100× magnification · peripheral blood smear.
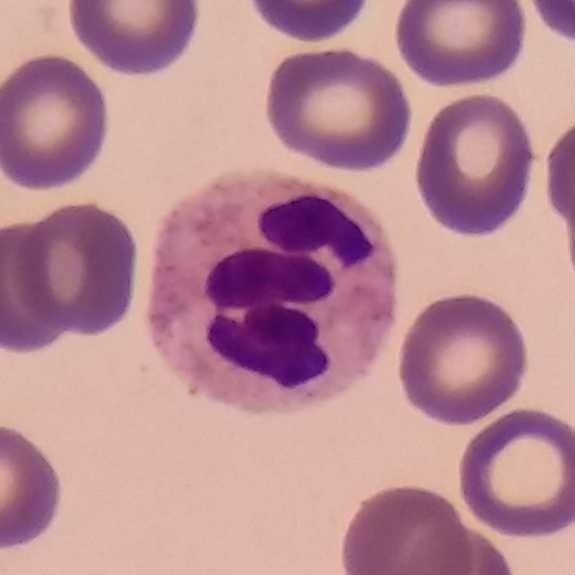Q: Which cell type is shown here?
A: It is a neutrophilic granulocyte.